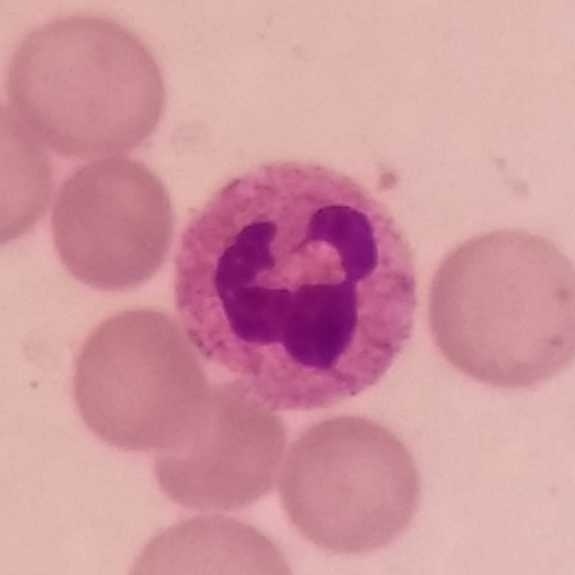

Stained with Giemsa. Single-cell field. Peripheral blood film. Morphological class: neutrophil.